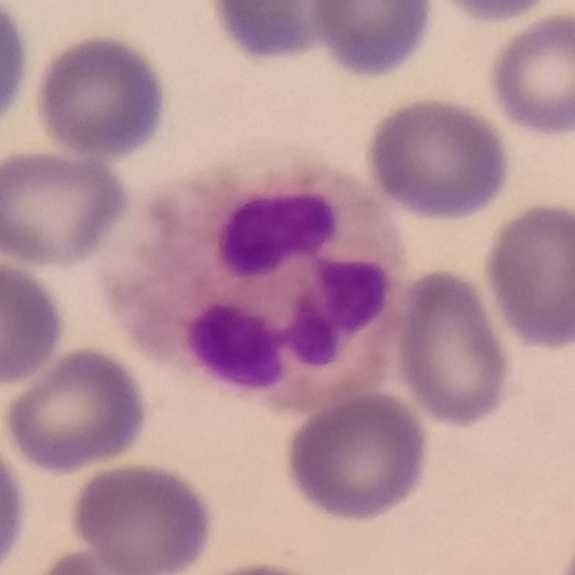

The cell shown is a neutrophil.